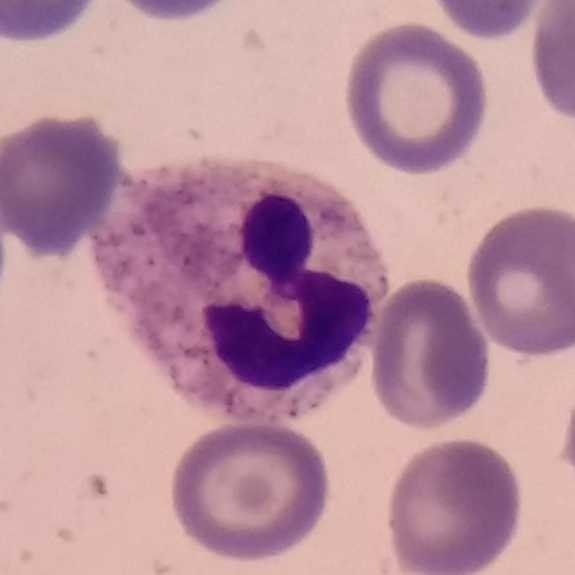

Preparation: Peripheral blood film.
Morphological class = neutrophil.